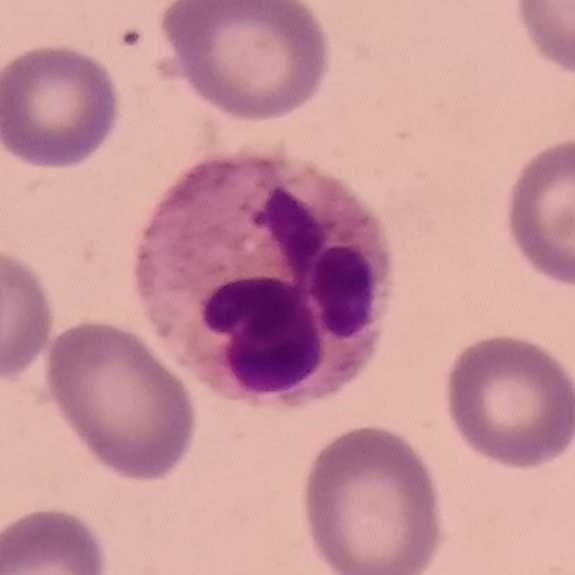Morphology → neutrophil. Acquisition: 575 by 575 pixels · peripheral blood smear · Giemsa stain.